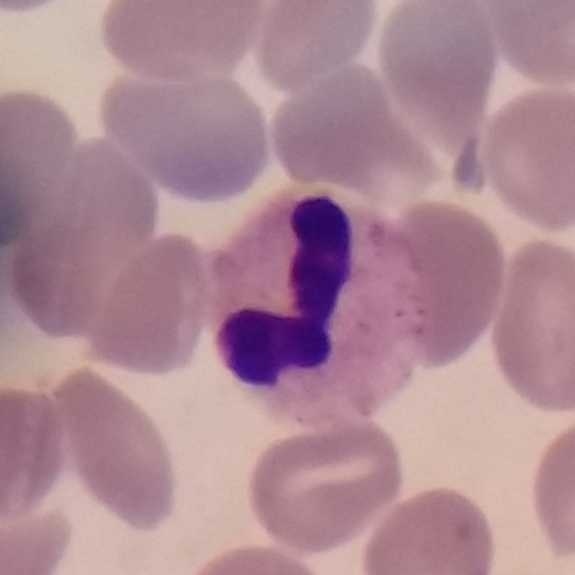The classification is neutrophil granulocyte.